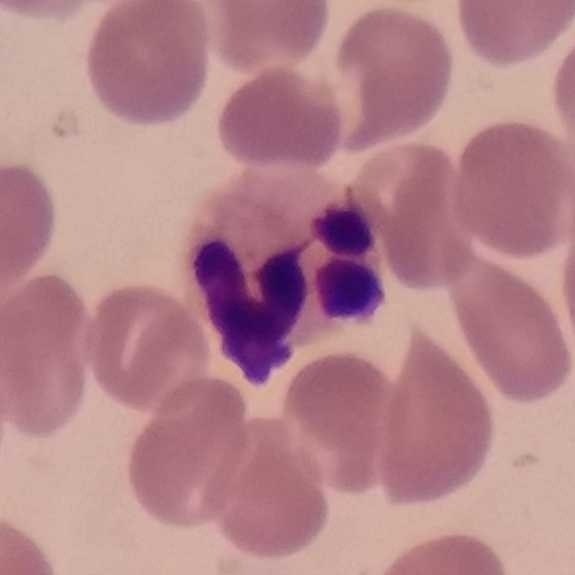

Context: Peripheral blood smear.
Cell — neutrophil.